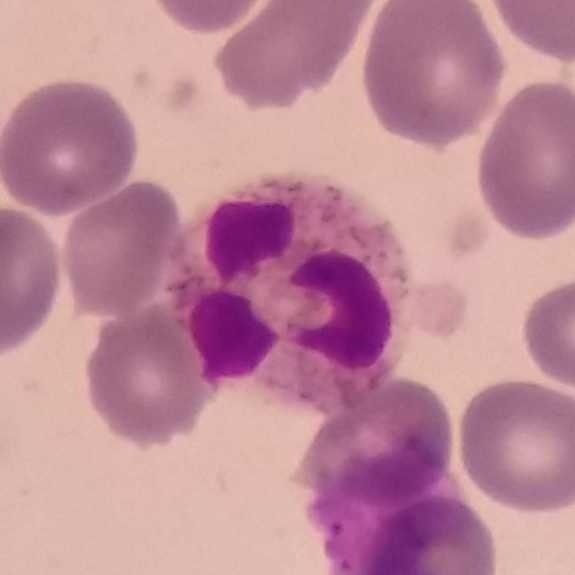
Preparation: 575×575 px · peripheral blood film · imaged at 100×. Neutrophil granulocyte.